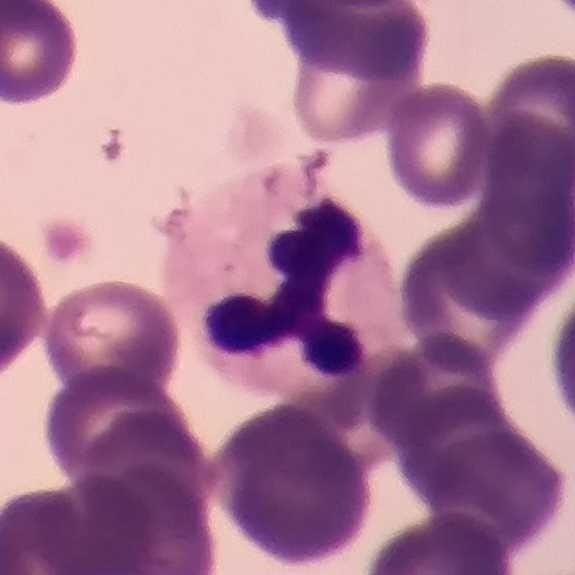

The morphological class is neutrophilic granulocyte.